Peripheral blood film: 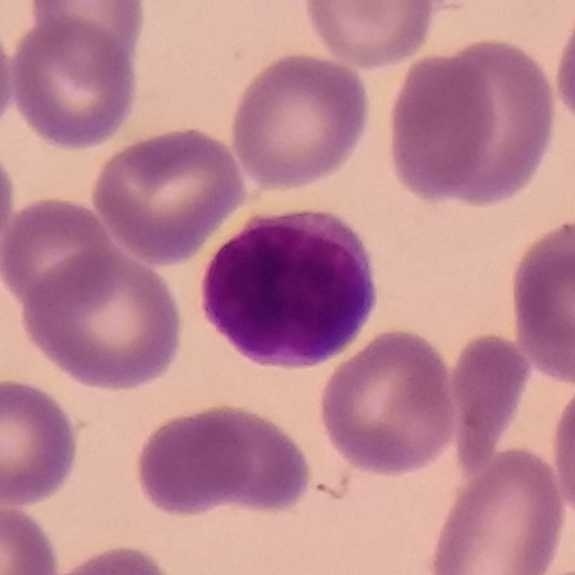 Cell = lymphocyte.